Peripheral blood smear:
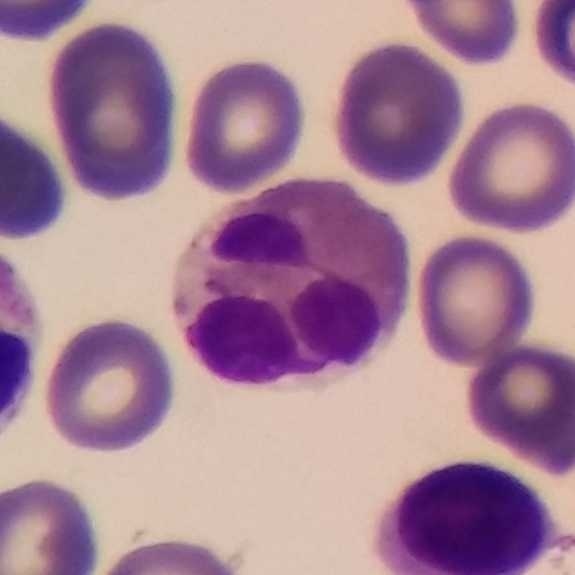

White blood cell type — eosinophil.